575×575; peripheral blood smear:
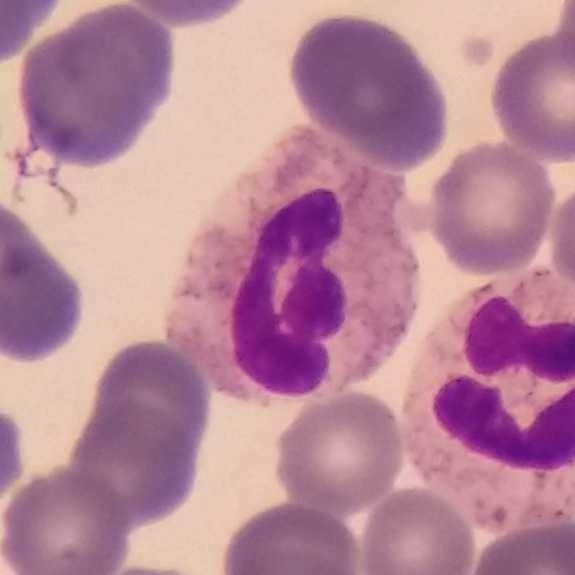{"cell_type": "neutrophilic granulocyte", "lineage": "myeloid"}